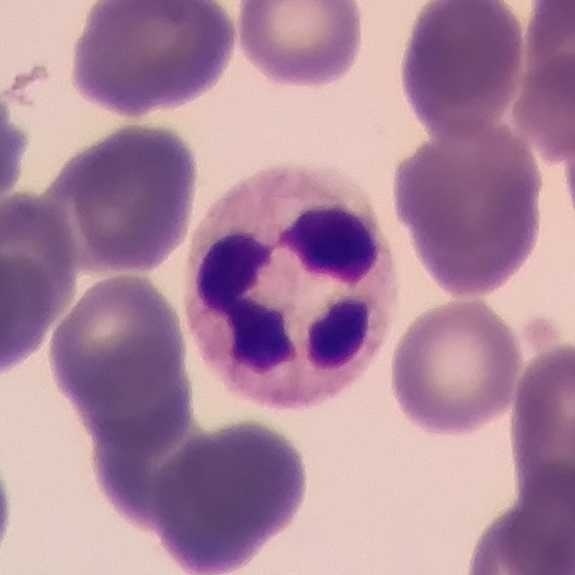 Image: Smartphone photomicrograph · peripheral blood film.
Impression → neutrophil.